Peripheral blood smear · single-cell crop — 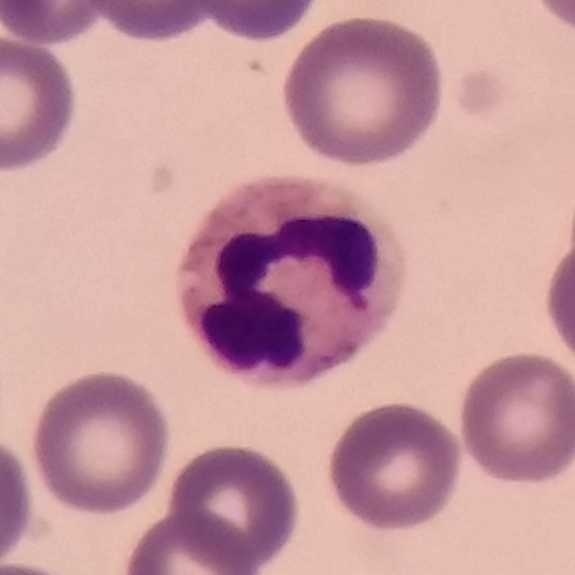
Morphology consistent with a neutrophil granulocyte.